Peripheral blood film; single-cell crop
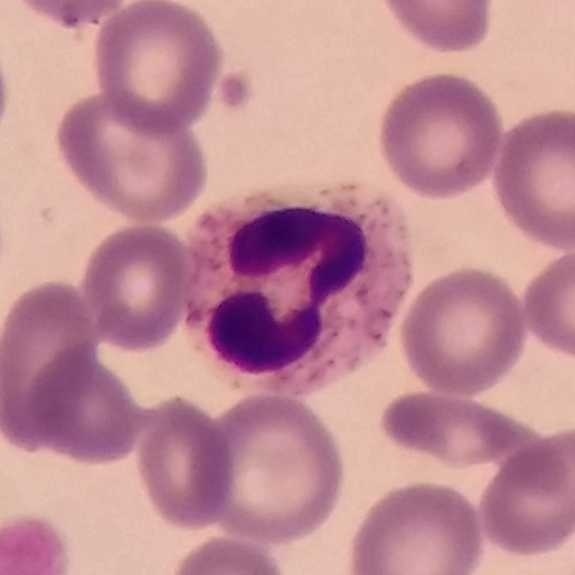
Classification: neutrophil.